Peripheral blood film · magnification 100× · phone-camera image taken through the microscope ocular — 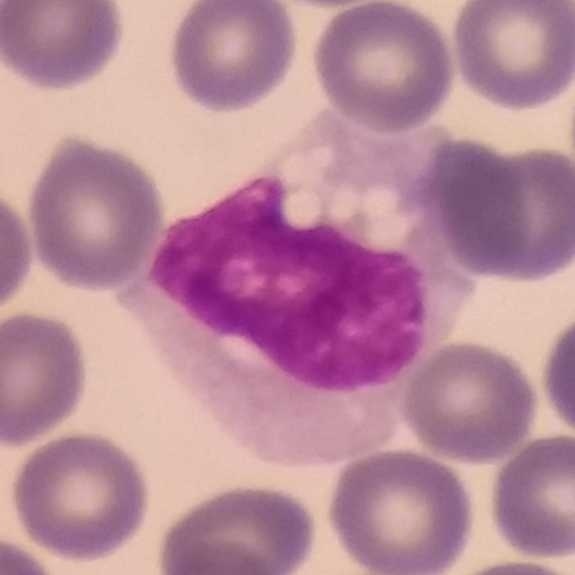

The classification is monocyte.